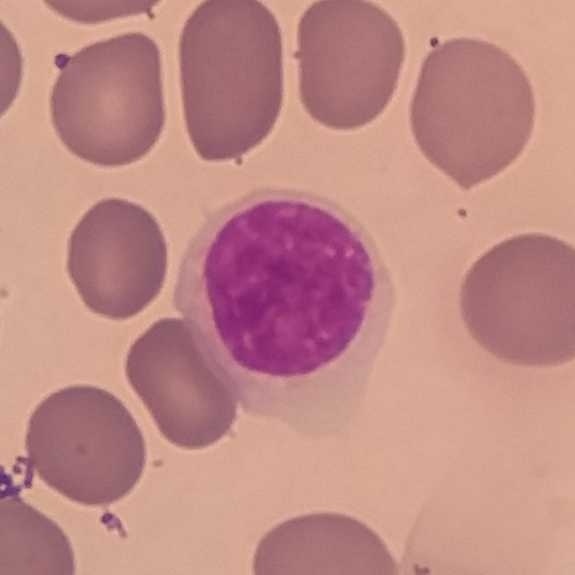

Specimen: peripheral blood smear.
Cell: lymphocyte.
Lineage: lymphoid.